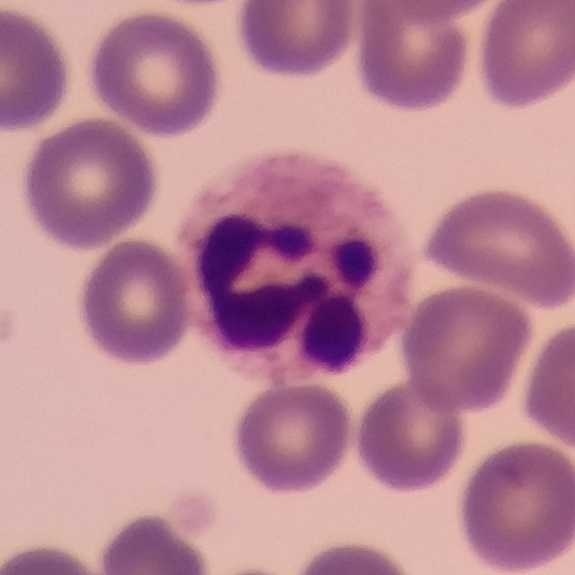Q: What is the morphological classification of this cell?
A: This is a neutrophil.